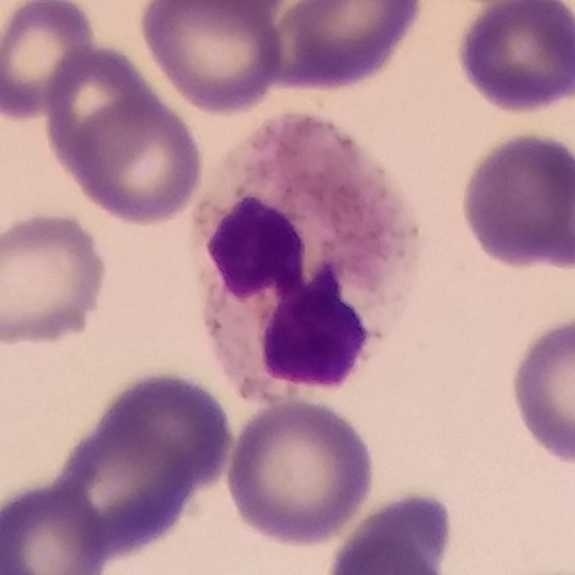 Peripheral blood smear; phone-camera image taken through the microscope ocular. A neutrophil.